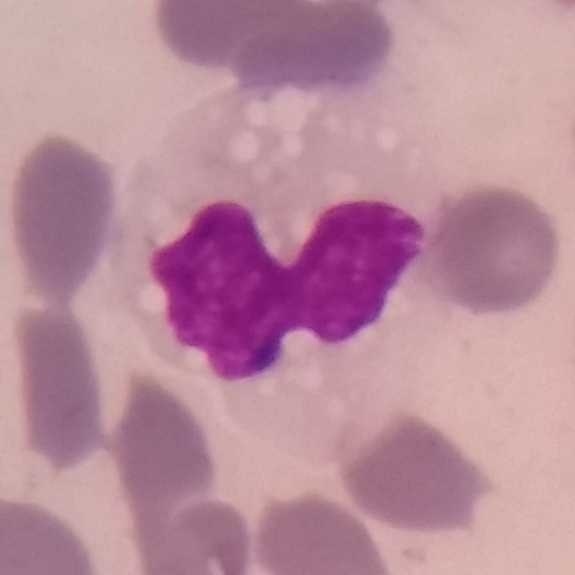
Cell = monocyte. Image: Peripheral blood film · 575 by 575 pixels.